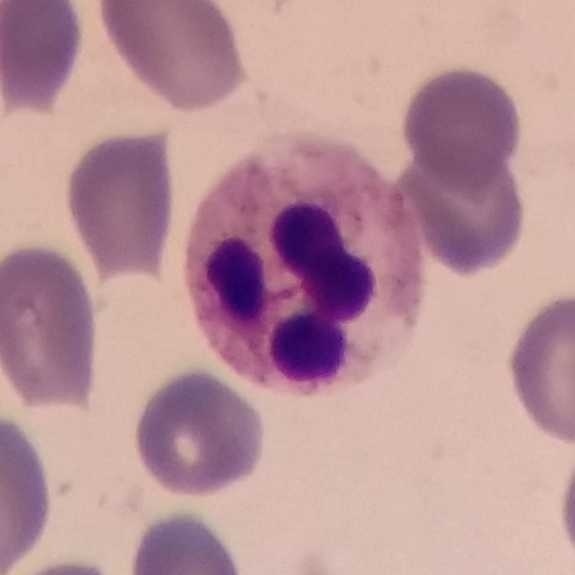 Cropped to one leukocyte. 575 by 575 pixels. Peripheral blood film.
A neutrophil granulocyte.